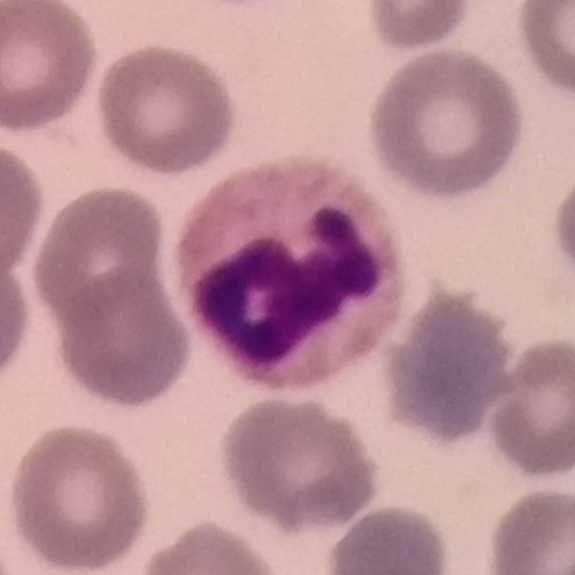
The cell shown is a neutrophil.
Context: Peripheral blood film.